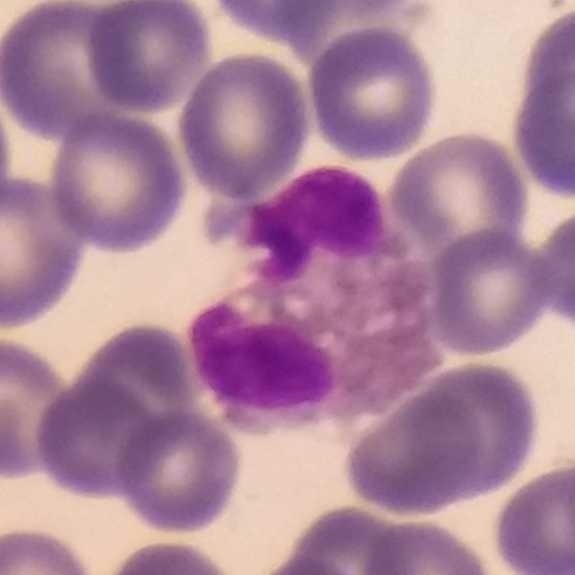Image: Imaged at 100× · stained with Giemsa · peripheral blood smear.

The cell shown is an eosinophilic granulocyte.